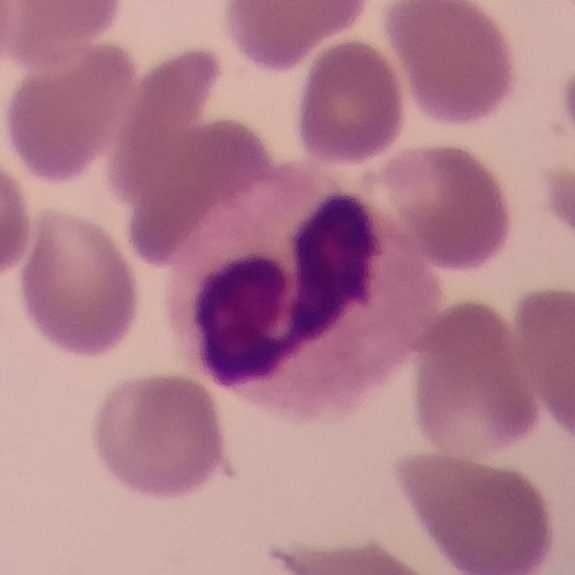Peripheral blood film.
Neutrophilic granulocyte.